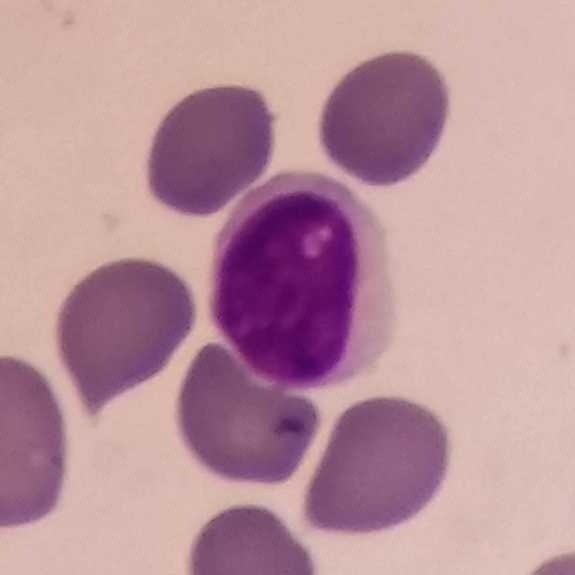

White blood cell type — lymphocyte. Smartphone photomicrograph · stained with Giemsa · peripheral blood smear.